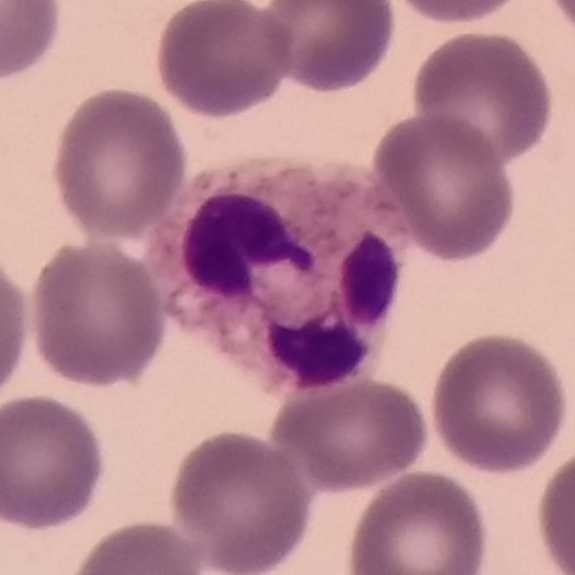Q: What cell is this?
A: A neutrophil granulocyte.

Context: Peripheral blood film.